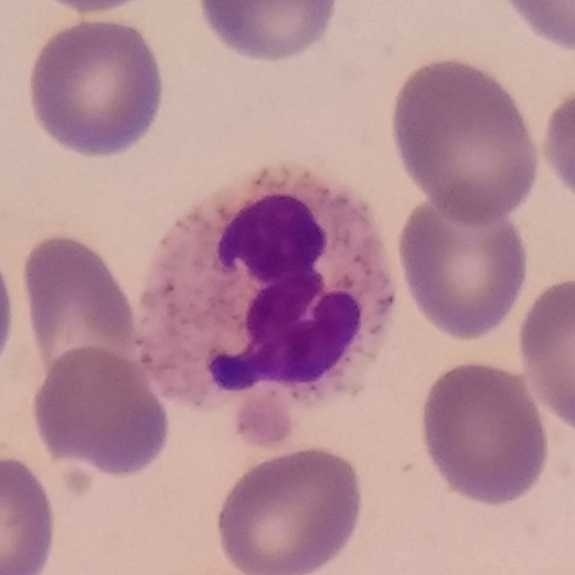 Q: What cell is this?
A: Neutrophil granulocyte. Context: Peripheral blood smear.